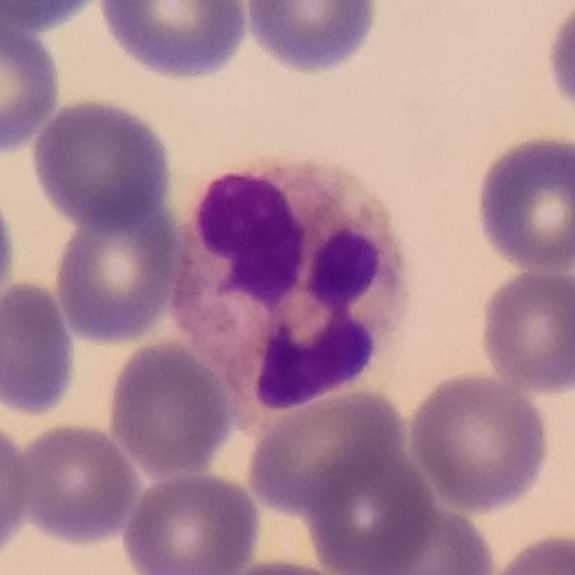 Peripheral blood smear showing a neutrophil.